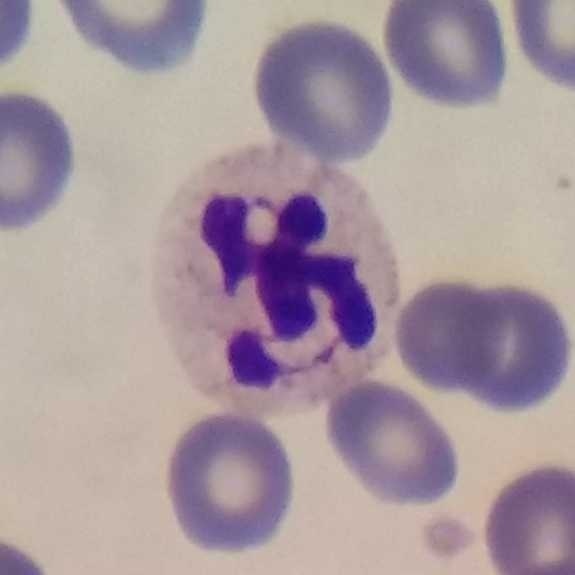

Image: Peripheral blood smear.

Cell = neutrophilic granulocyte.